Peripheral blood film:
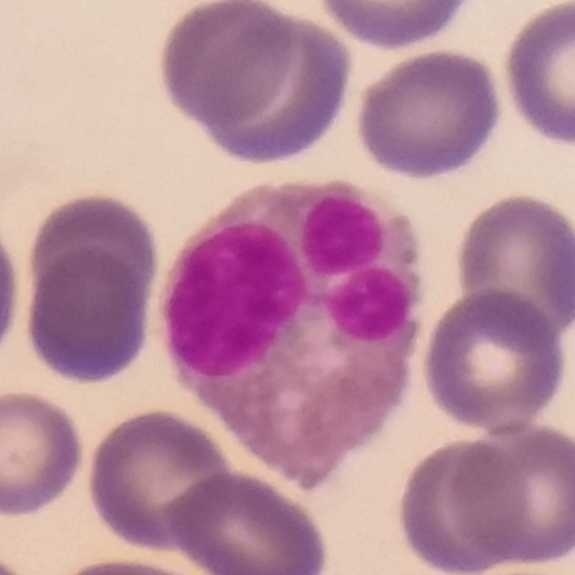

Impression → eosinophil.